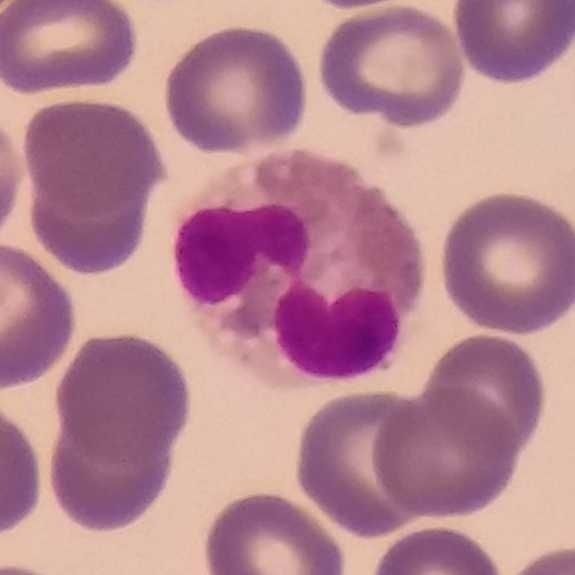 This is an eosinophilic granulocyte. Acquisition: Peripheral blood film.